Peripheral blood film — 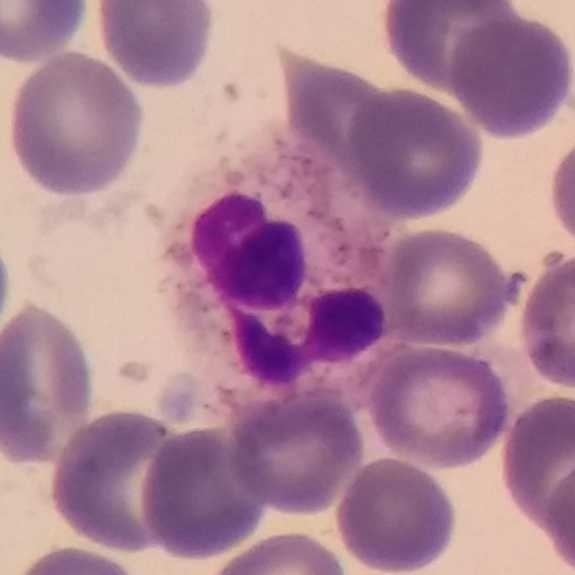
Cell type = neutrophil granulocyte.